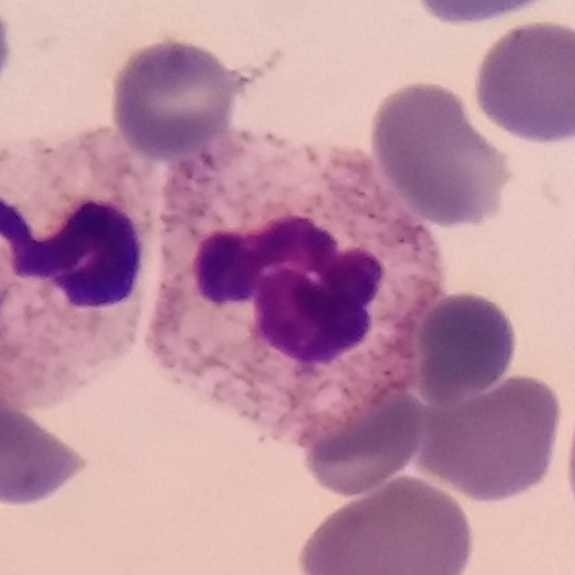
{"cell_type": "neutrophil", "lineage": "myeloid"}